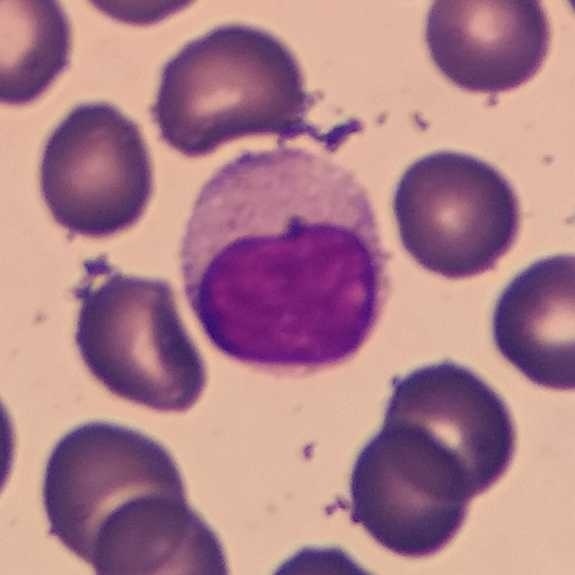Preparation: Peripheral blood film. The white blood cell in this image is a lymphocyte.